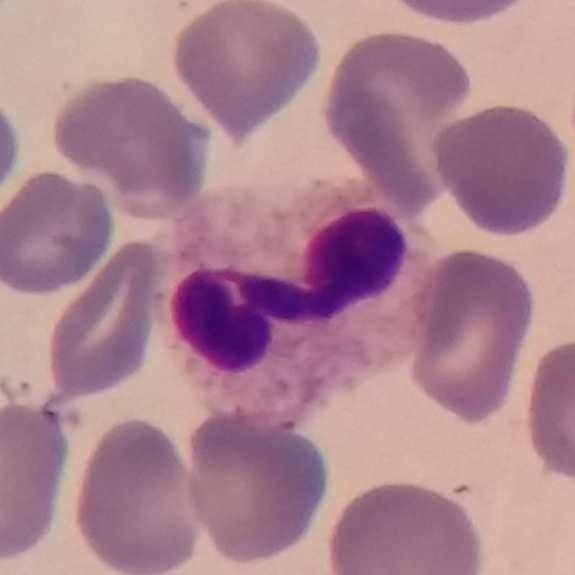Identified as a neutrophilic granulocyte.